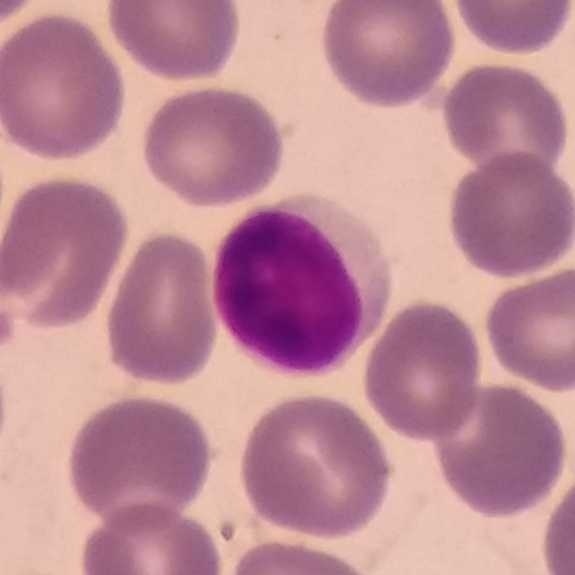Classification — lymphocyte.